Peripheral blood film: 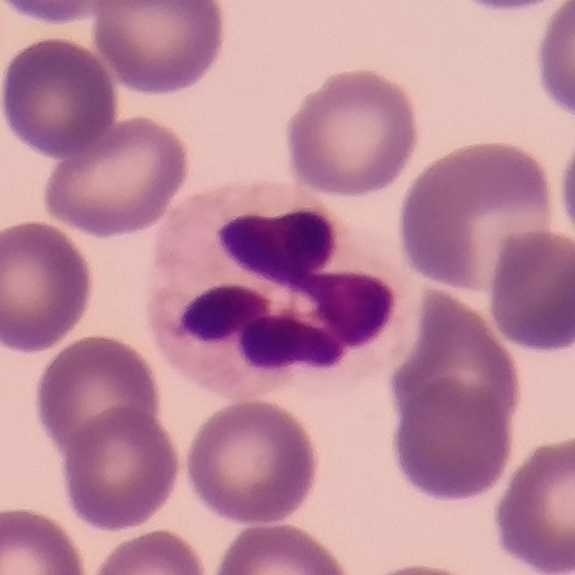 Morphology → neutrophil granulocyte.